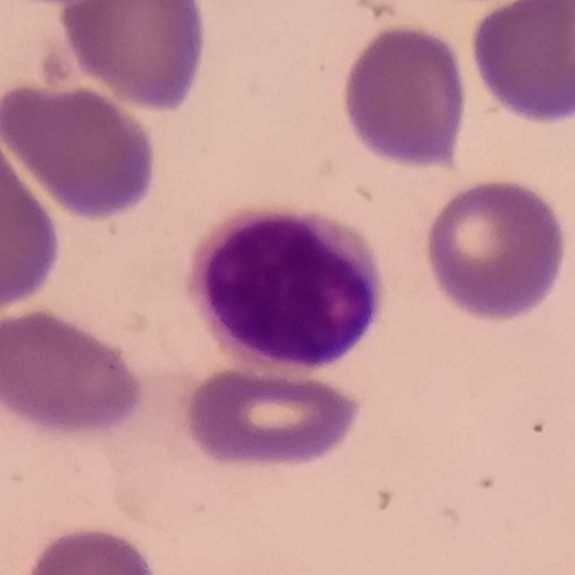 Q: Classify this leukocyte.
A: A lymphocyte.

Preparation: Single-cell crop · smartphone camera mounted on the microscope eyepiece · peripheral blood film.